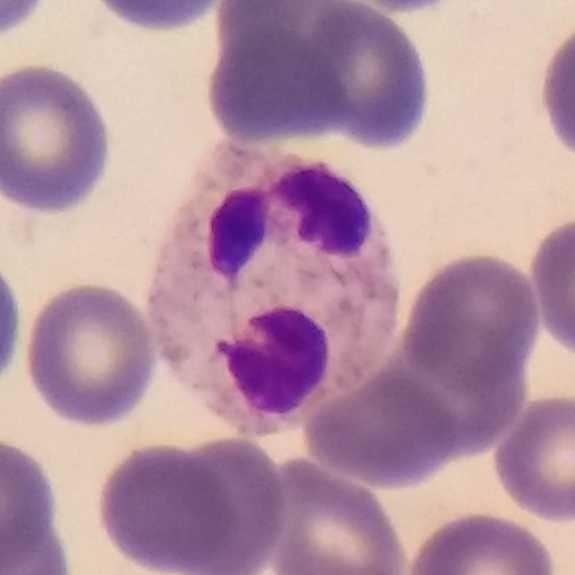 Specimen: peripheral blood smear.
Cell type: neutrophil granulocyte.
Lineage: myeloid.